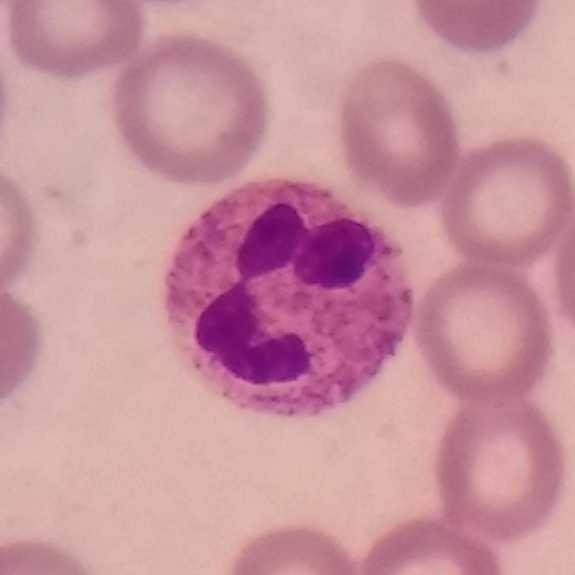Preparation: Peripheral blood film. 575×575. 100× magnification. Identified as a neutrophil.